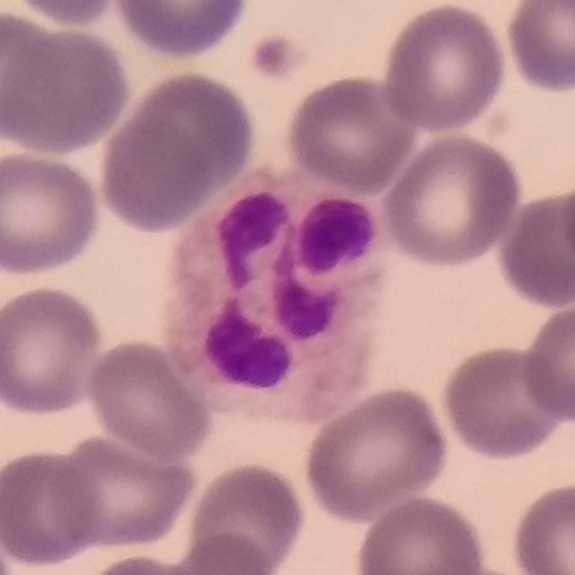Classification = neutrophil.

Image size 575×575; peripheral blood film.